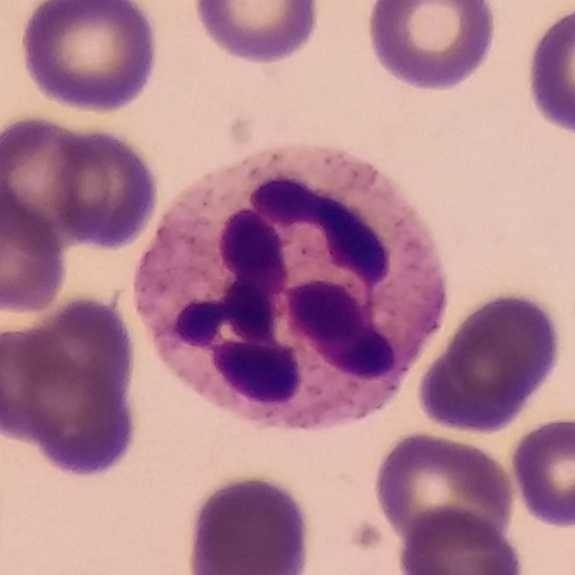
Neutrophilic granulocyte.
Peripheral blood smear · photographed through a light microscope with a smartphone camera.